575 by 575 pixels; peripheral blood film; stained with Giemsa: 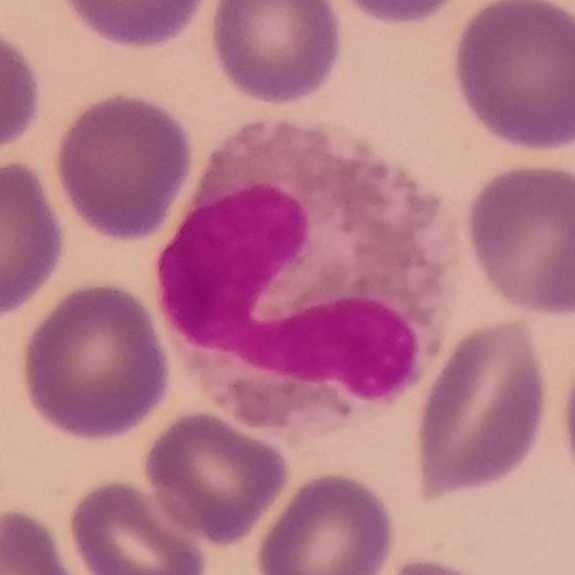 The white blood cell in this image is an eosinophil.